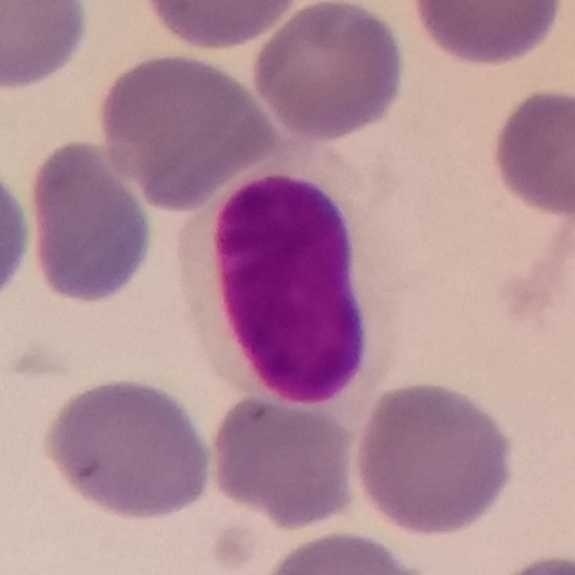

Impression → lymphocyte. Preparation: Peripheral blood film. Cropped to one leukocyte.